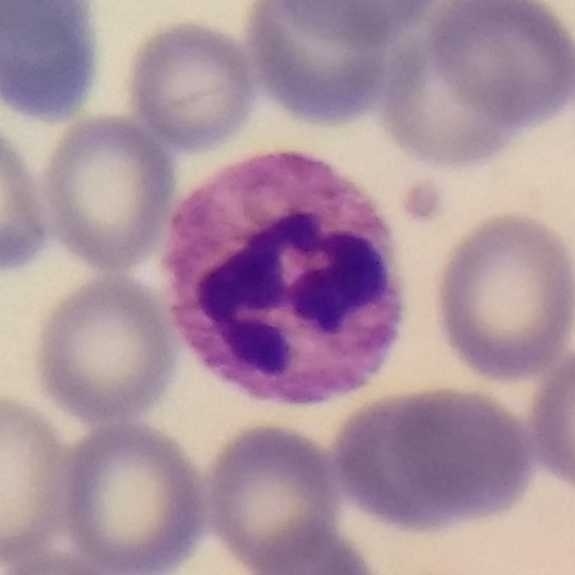

Morphology consistent with a neutrophil granulocyte. Context: Peripheral blood smear · imaged at 100×.